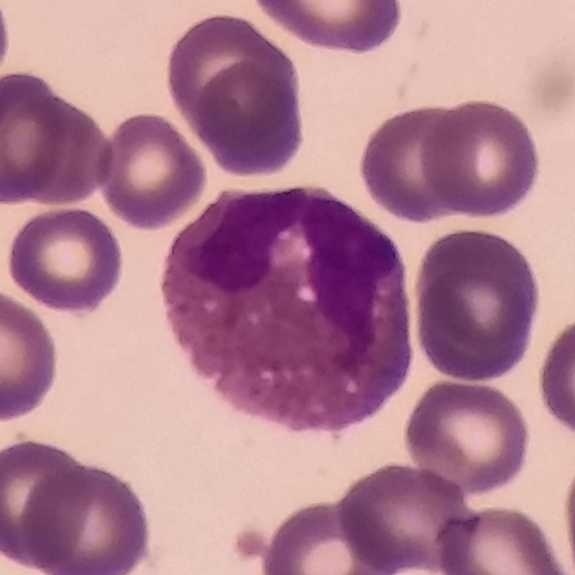 Q: What is shown here?
A: It is an eosinophilic granulocyte.
Acquisition: 575 by 575 pixels. Imaged at 100×. Peripheral blood smear.